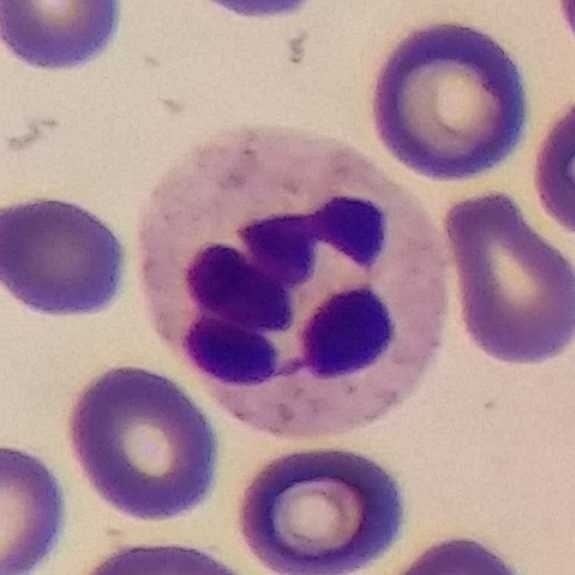

Acquisition: Peripheral blood smear. The cell type is neutrophil granulocyte.